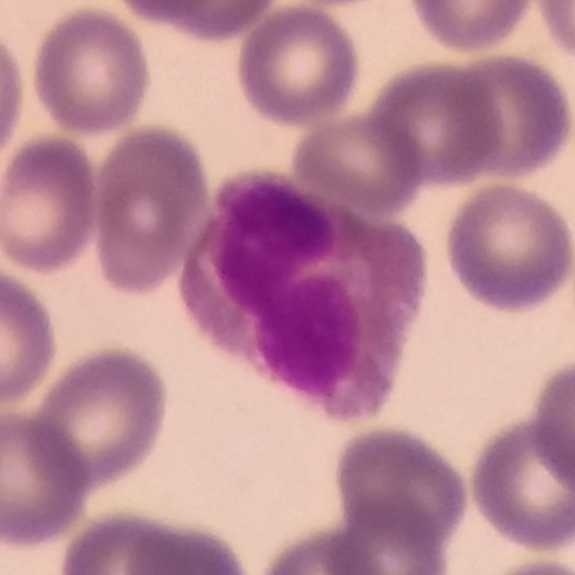

An eosinophil.